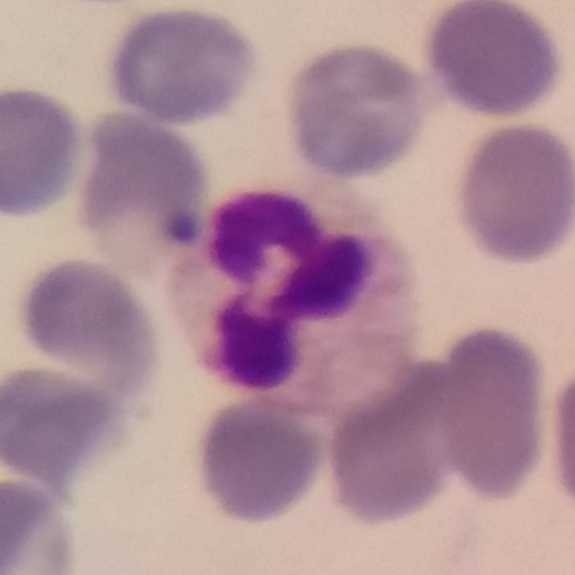

This is a neutrophil.
Peripheral blood smear; smartphone camera mounted on the microscope eyepiece.